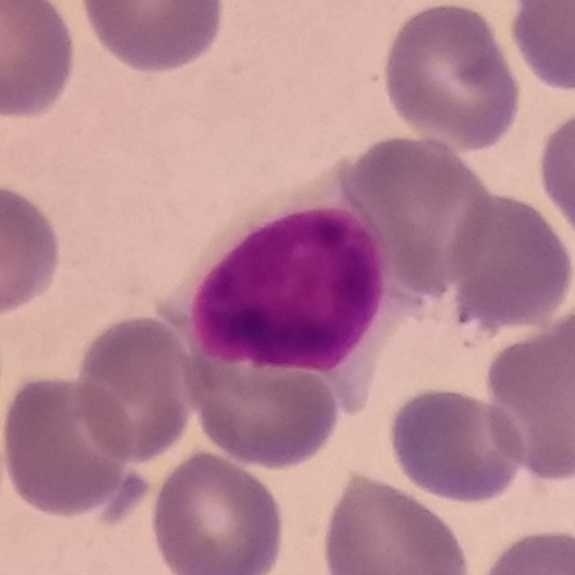
Specimen: peripheral blood film.
Morphological class: lymphocyte.